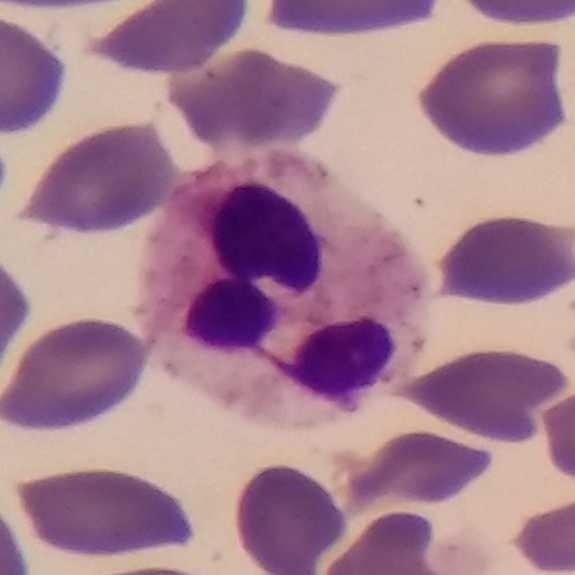

This is a neutrophil granulocyte. Peripheral blood smear. Smartphone photomicrograph. Single-cell field.